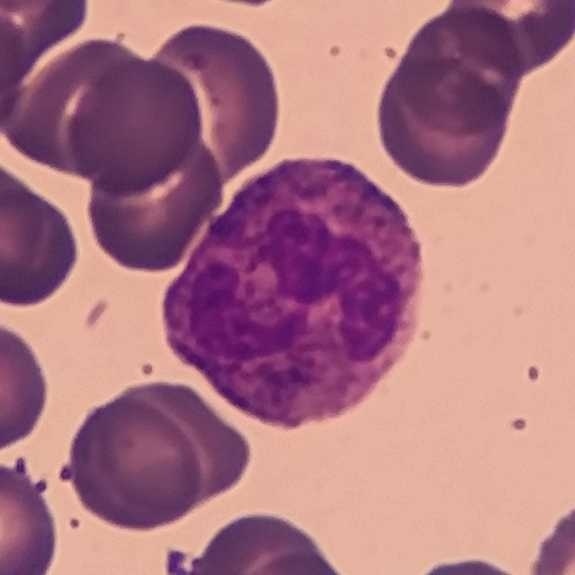

{"cell_type": "neutrophil"}